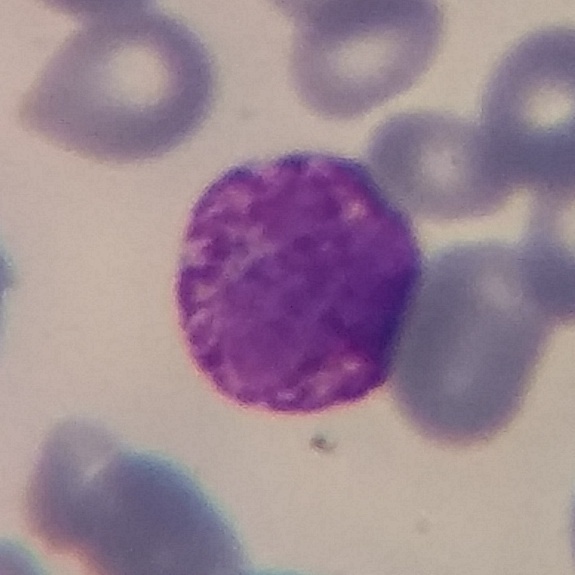
Peripheral blood film, single cell — basophilic granulocyte.